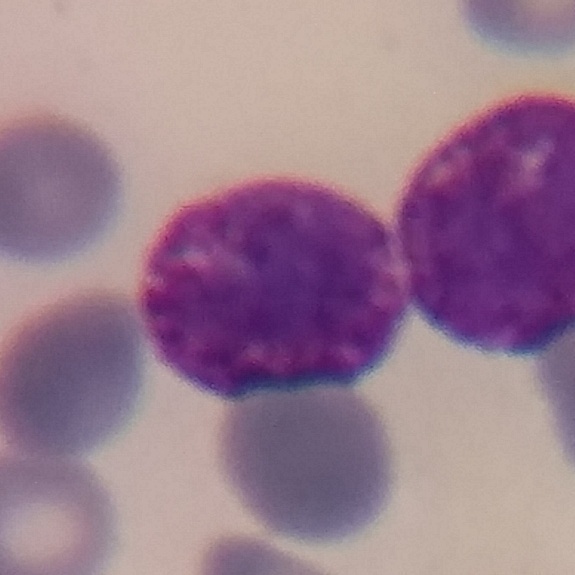

Q: What type of cell is this?
A: This is a basophil. Peripheral blood smear.